Peripheral blood smear
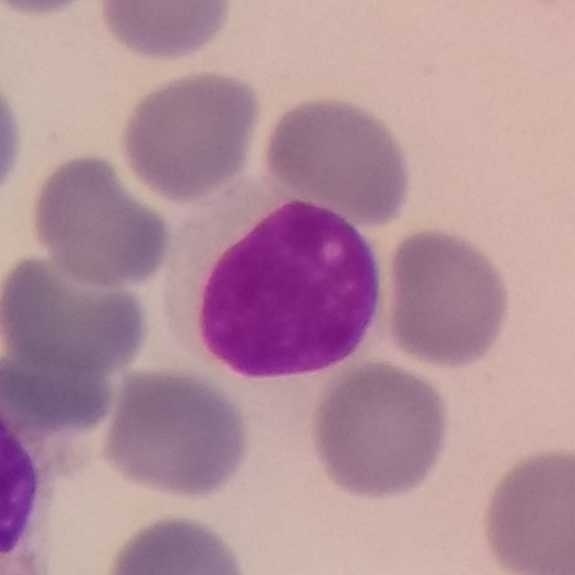
Morphology consistent with a lymphocyte.